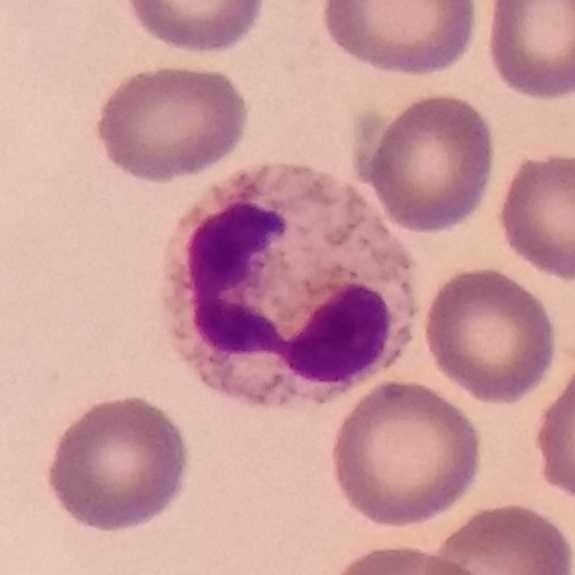Preparation: Stained with Giemsa. Peripheral blood smear. The cell shown is a neutrophil.